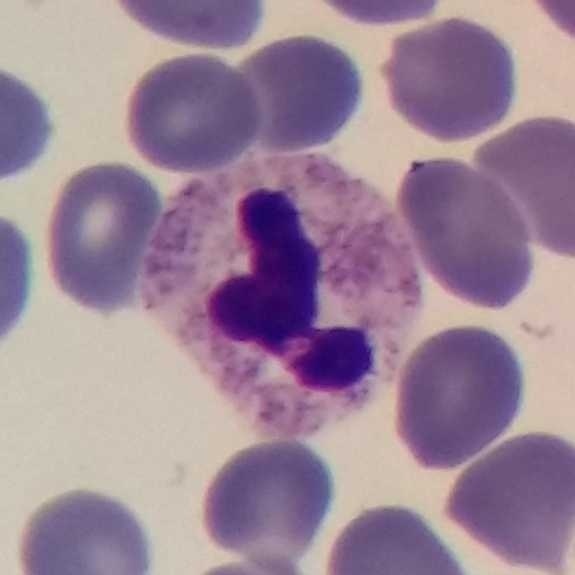

Acquisition: Peripheral blood film.
A neutrophilic granulocyte.